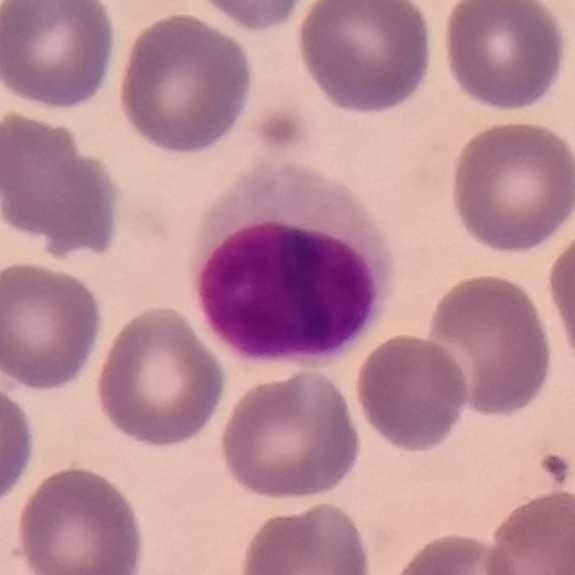Impression — lymphocyte.

Preparation: Peripheral blood smear.